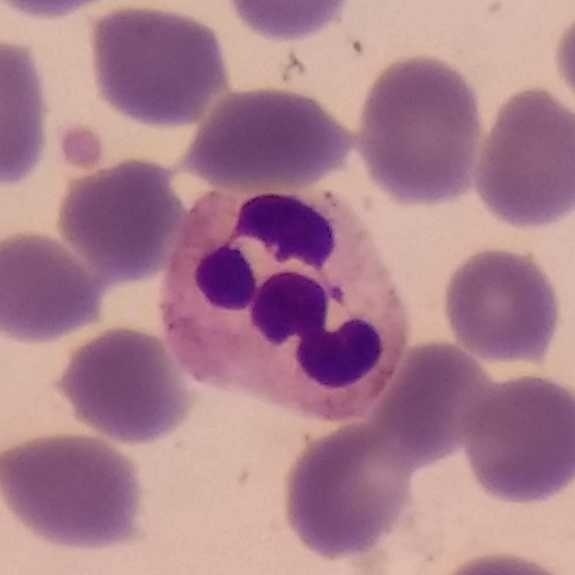The white blood cell type is neutrophilic granulocyte. Peripheral blood film.